Peripheral blood smear. Magnification 100× — 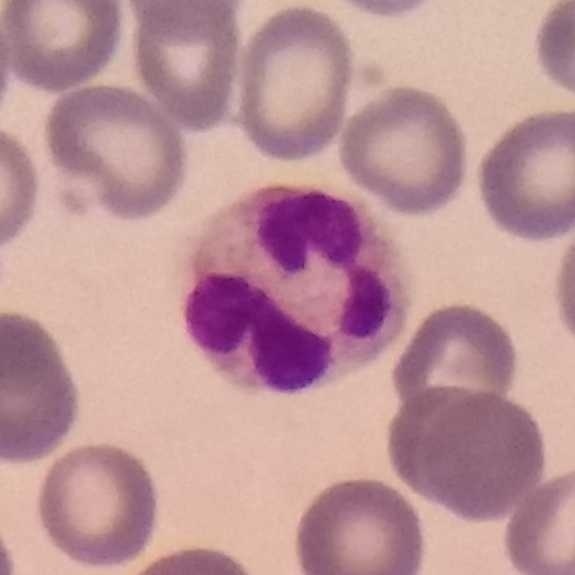Showing a neutrophil.